Peripheral blood smear — 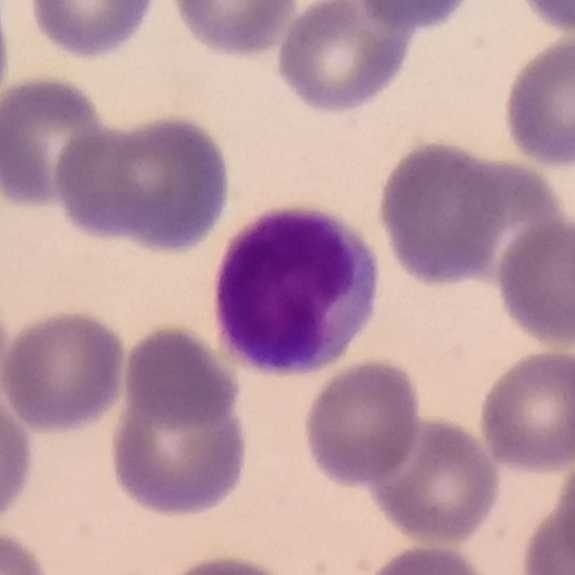This is a lymphocyte.